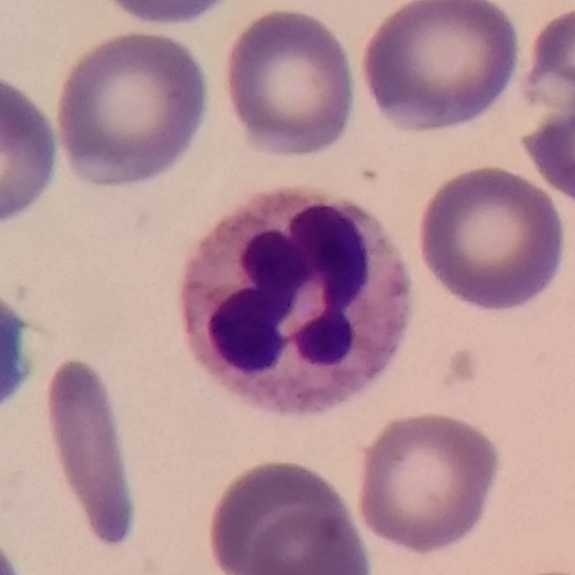

{"cell_type": "neutrophilic granulocyte", "lineage": "myeloid"}